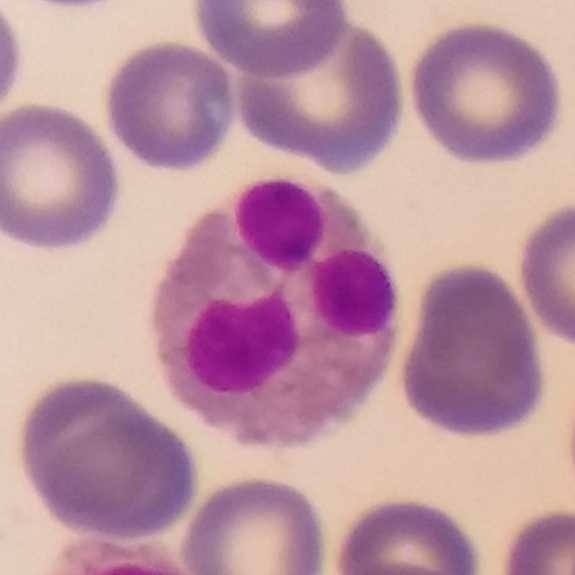Q: What is the morphological classification of this cell?
A: An eosinophil.

Acquisition: Image size 575×575; peripheral blood film.